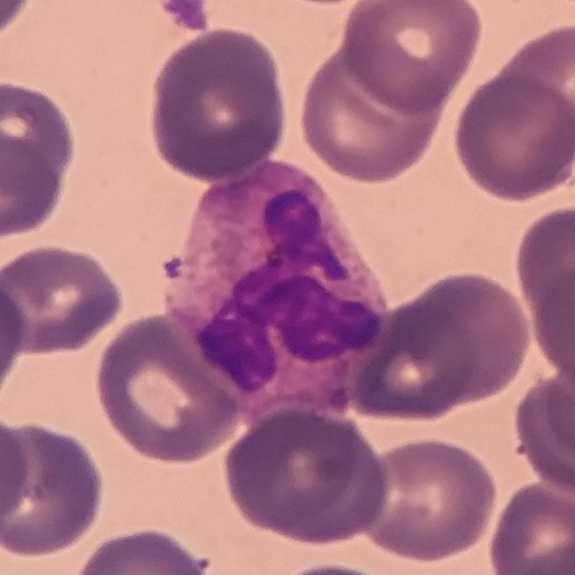Q: What is the morphological classification of this cell?
A: It is a neutrophil.
Peripheral blood smear · stained with Giemsa.